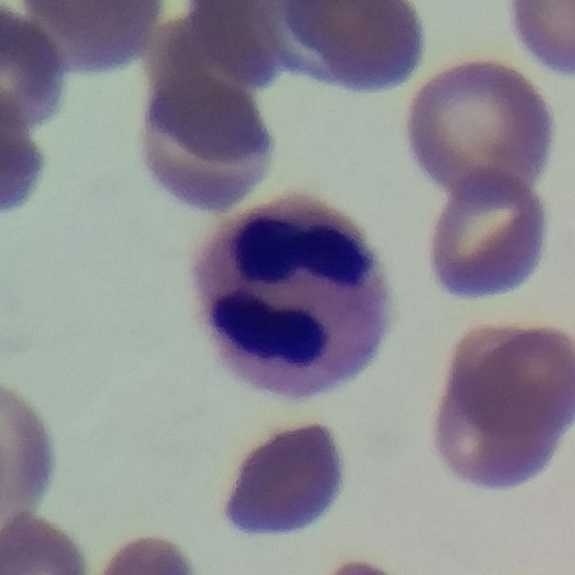White blood cell type — neutrophil.

Peripheral blood film · 575 by 575 pixels · stained with Giemsa.